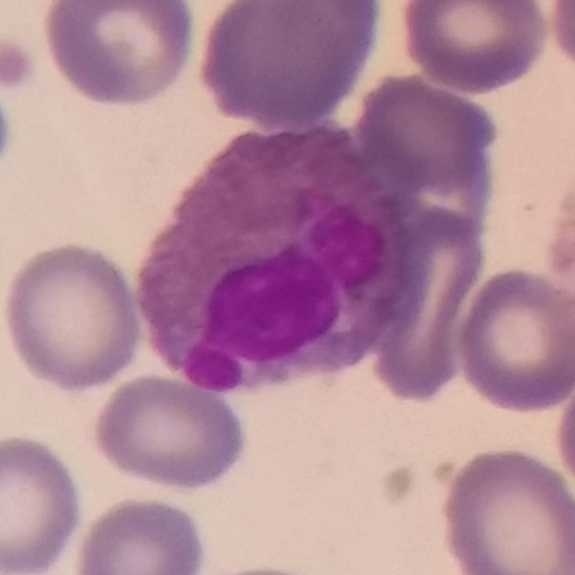
White blood cell type — eosinophil.

Peripheral blood film. Giemsa stain.